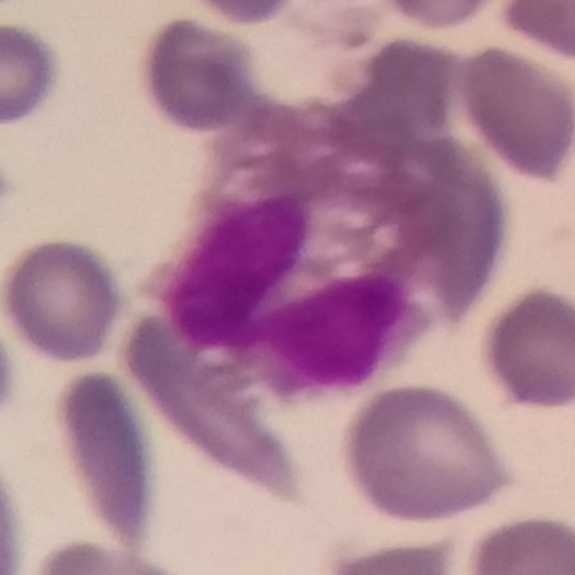 Impression → eosinophilic granulocyte.